Peripheral blood smear — 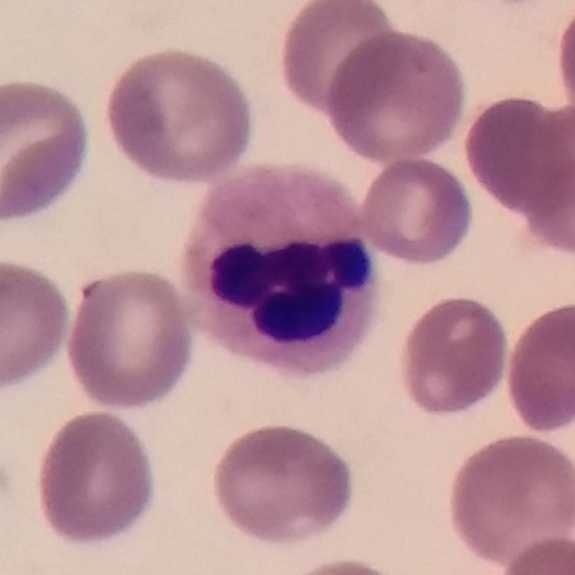
The cell shown is a neutrophil.